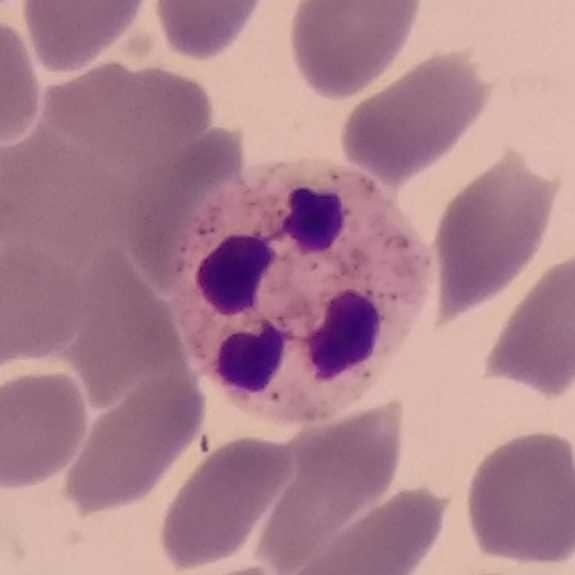 Acquisition: Peripheral blood film.
The cell shown is a neutrophil.